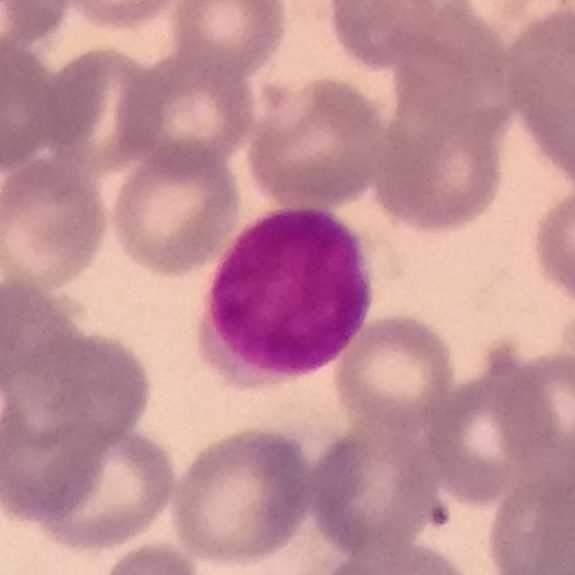 Cell — lymphocyte.